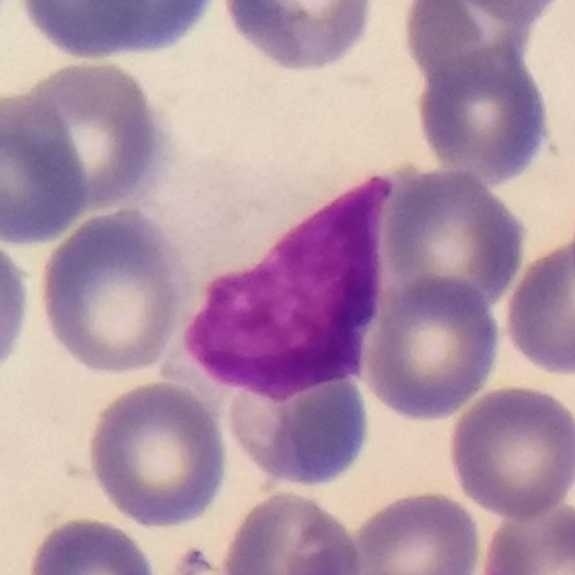

Imaged at 100×.
Specimen: peripheral blood smear.
Classification: lymphocyte.
Lineage: lymphoid.